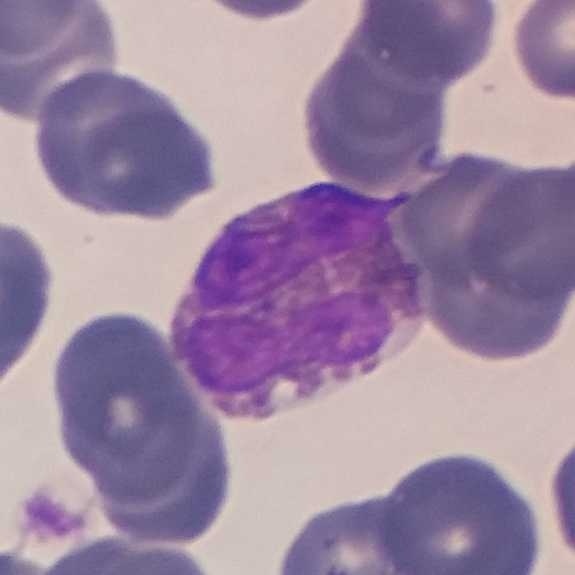

Peripheral blood smear.

Morphological class = eosinophil.